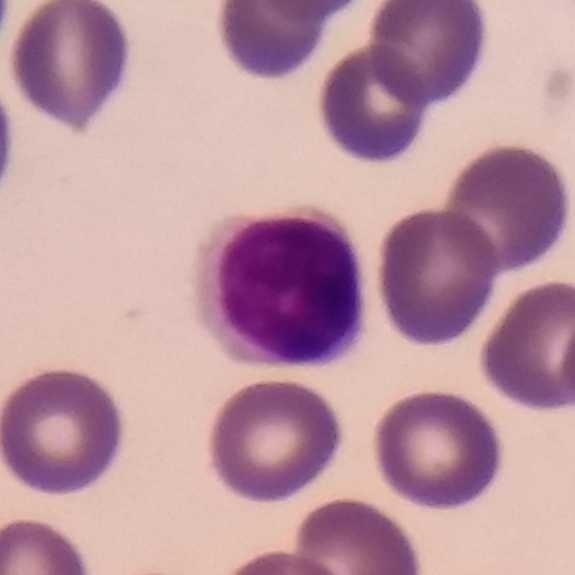 Context: Peripheral blood smear · 575×575 · cropped to one leukocyte. Impression — lymphocyte.